Peripheral blood film · stained with Giemsa:
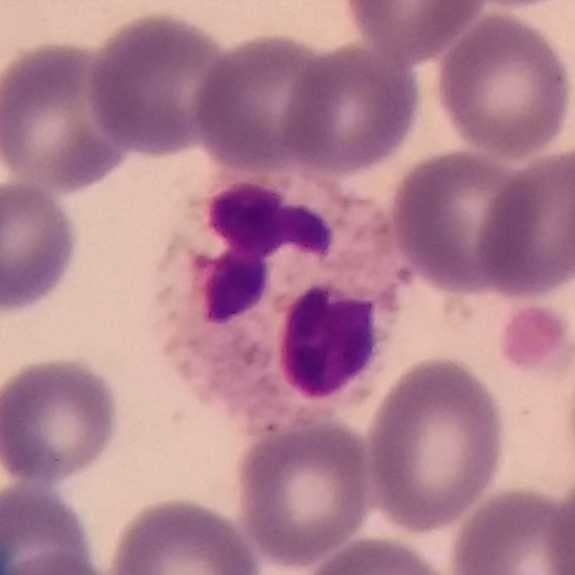
Classification — neutrophilic granulocyte.